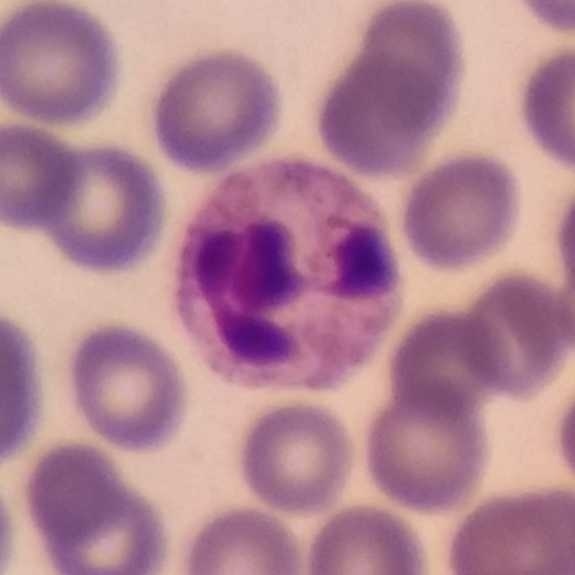
Specimen: peripheral blood film.
Cell type: neutrophil.
Lineage: myeloid.